575×575; peripheral blood smear:
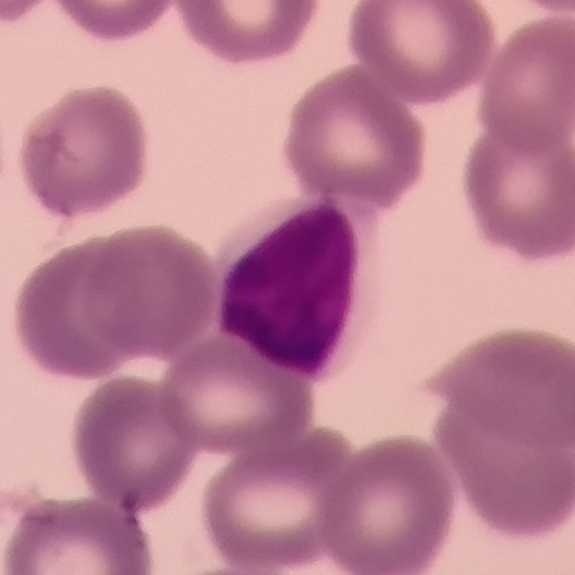

Morphological class = lymphocyte.